Peripheral blood film. Single-cell crop. Stained with Giemsa: 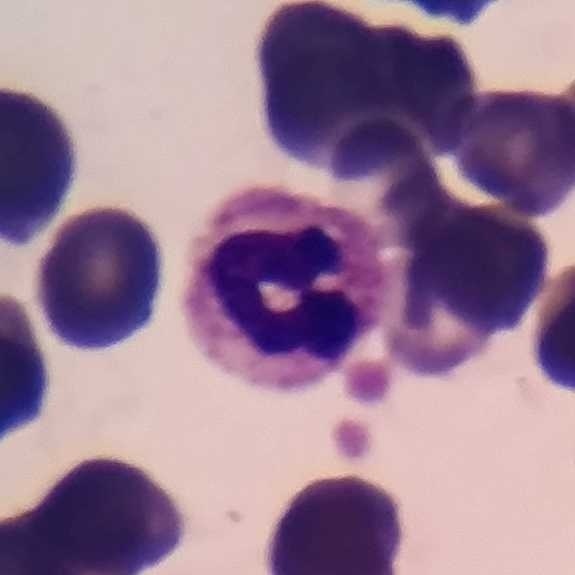The white blood cell in this image is a neutrophil granulocyte.